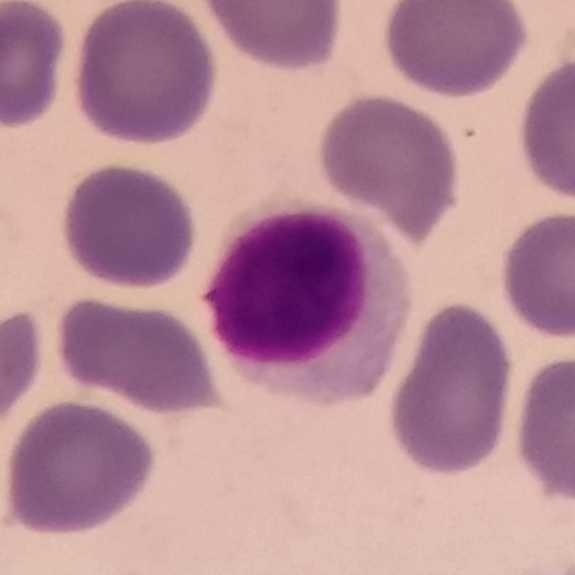 Morphology — lymphocyte.